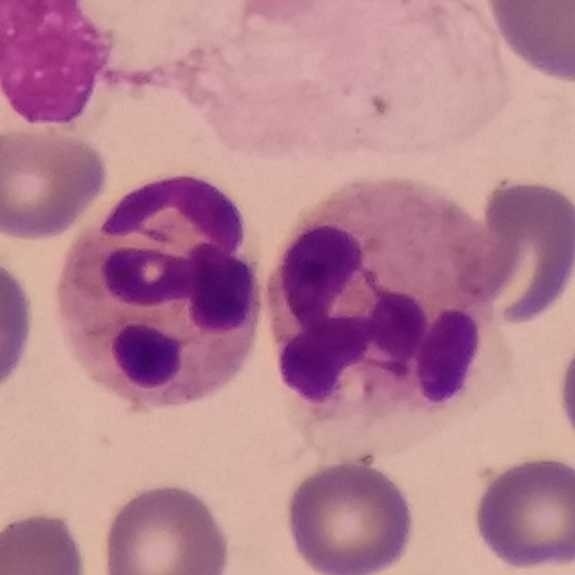Neutrophil.